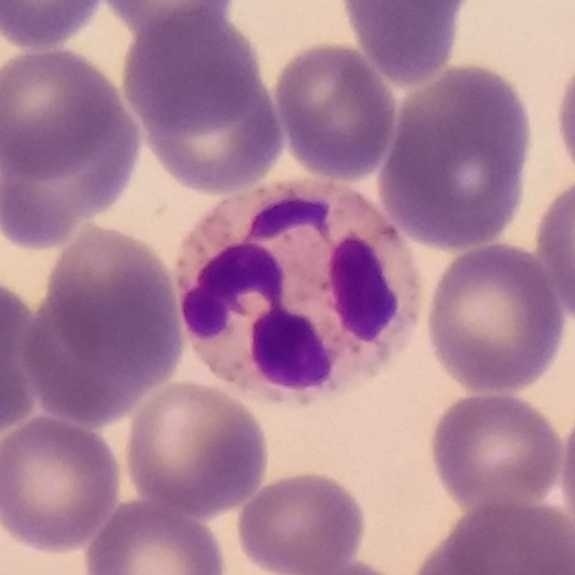Peripheral blood film · magnification 100×.
Q: Which type of white blood cell is this?
A: This is a neutrophilic granulocyte.